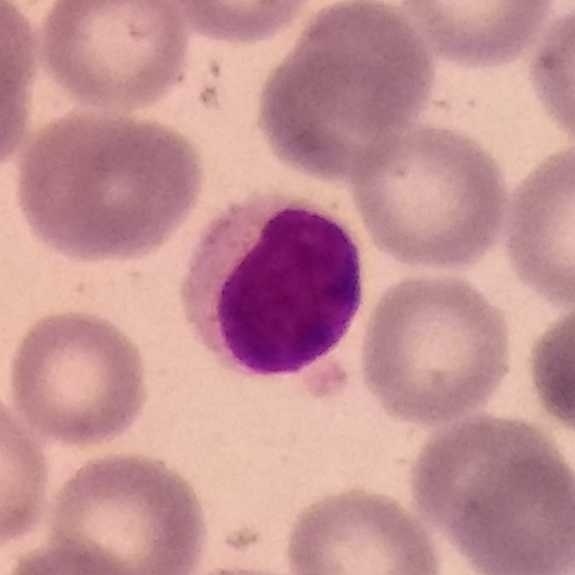Morphology consistent with a lymphocyte.

Image: Peripheral blood smear.